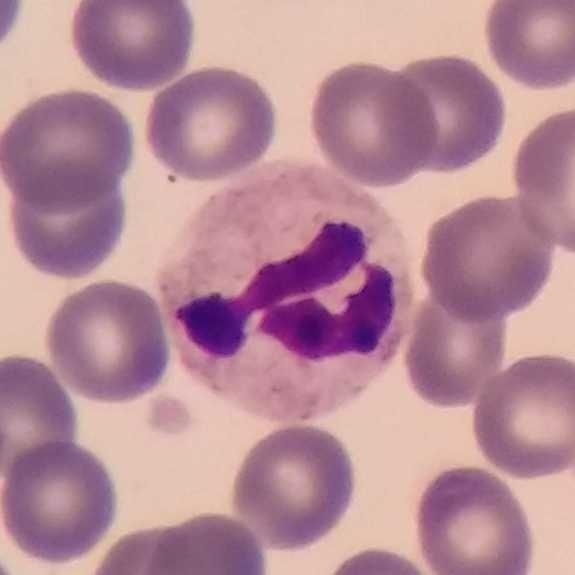

Identified as a neutrophilic granulocyte.